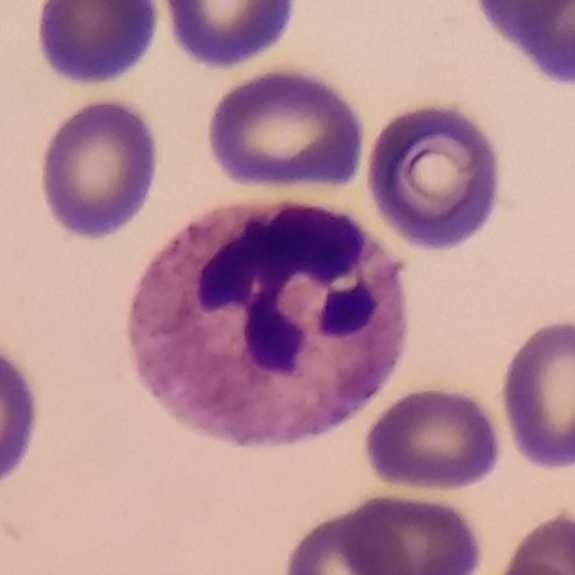
Peripheral blood smear showing a neutrophil.